Peripheral blood film:
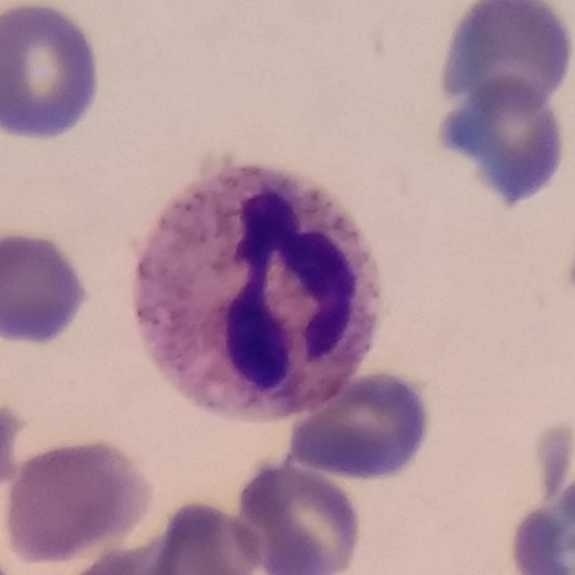

Morphology — neutrophil granulocyte.